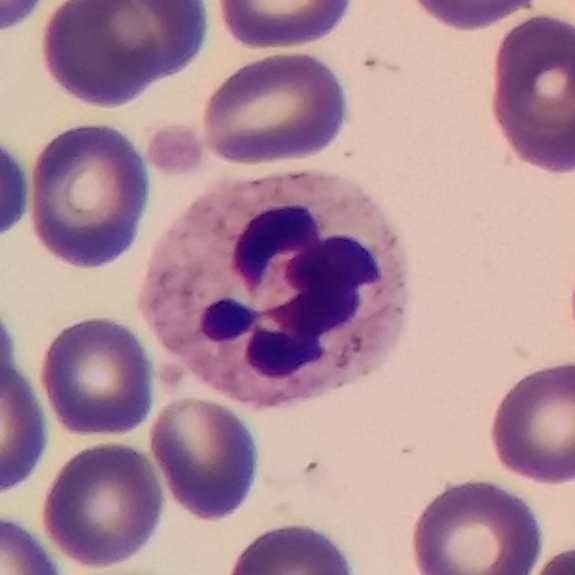Q: What is the morphological classification of this cell?
A: It is a neutrophil.